Peripheral blood smear: 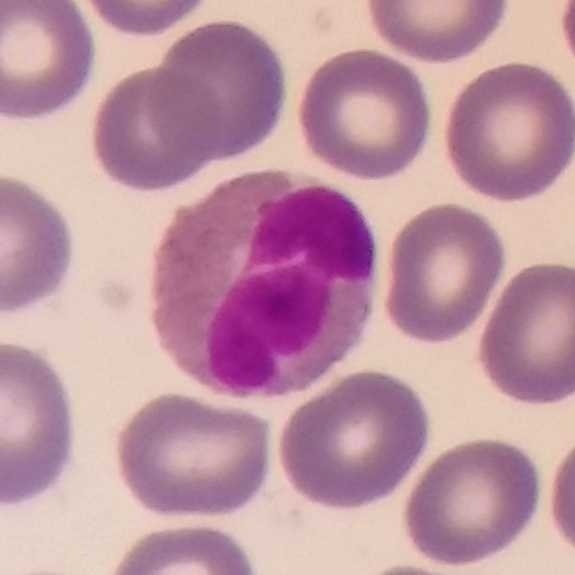 Morphology — eosinophil.